Peripheral blood film.
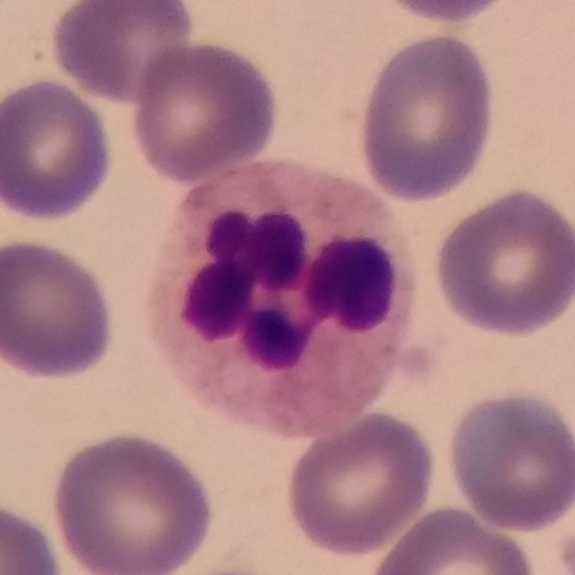The classification is neutrophil.